Peripheral blood smear: 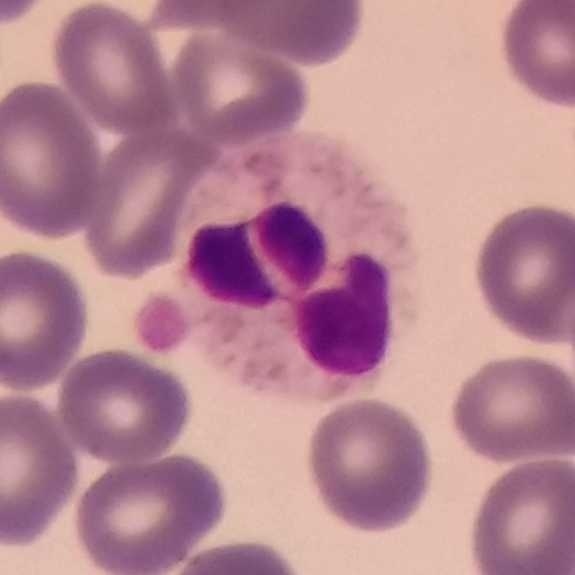
Neutrophil.